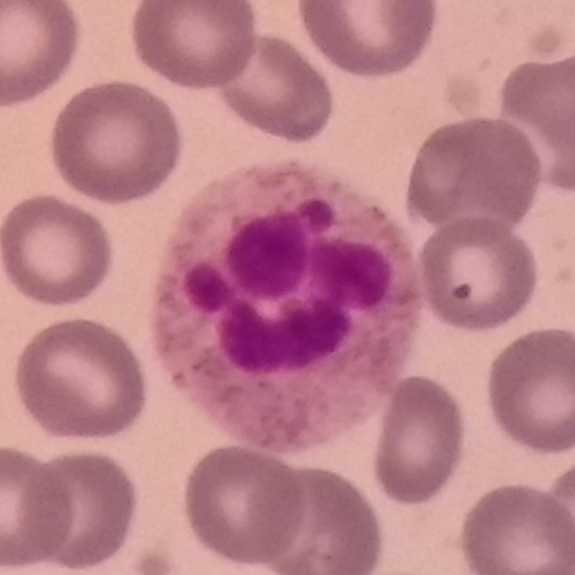

Identified as a neutrophil.